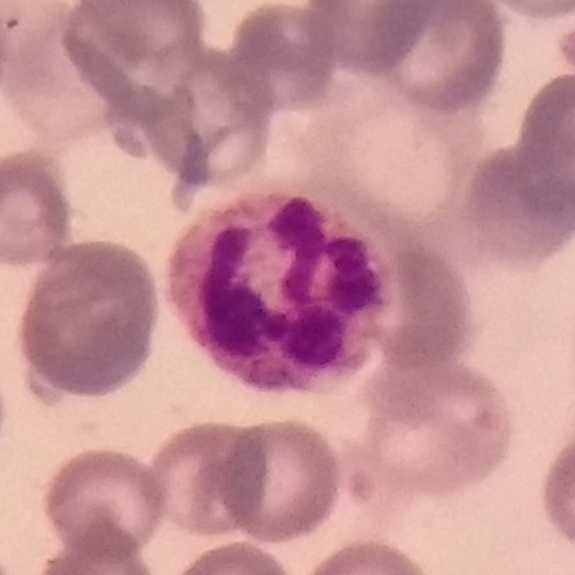
{"cell_type": "neutrophilic granulocyte"}